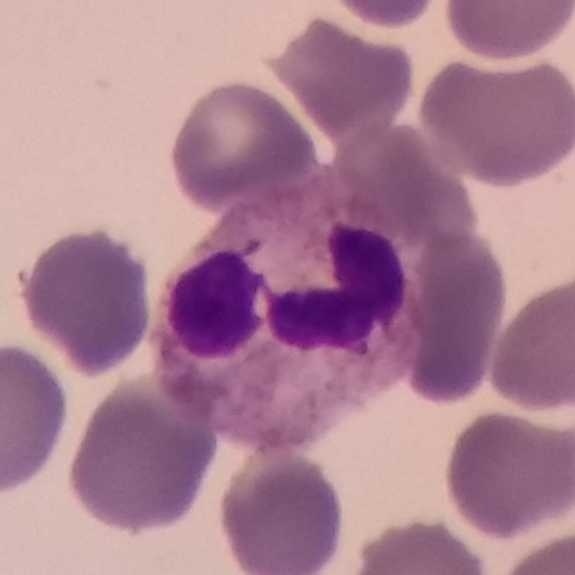

Morphology — neutrophil.